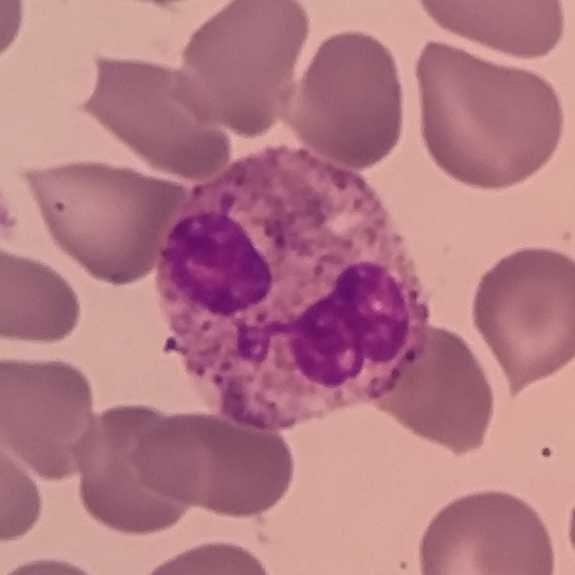Specimen: peripheral blood film.
White blood cell type: neutrophil.
Lineage: myeloid.